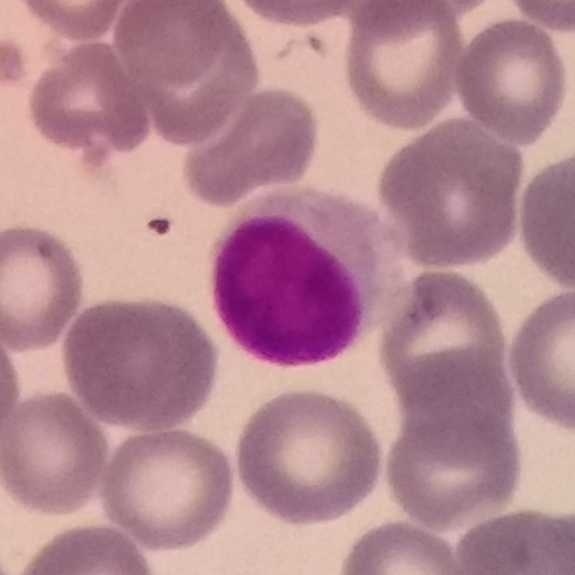 Specimen: peripheral blood film.
Morphological class: lymphocyte.